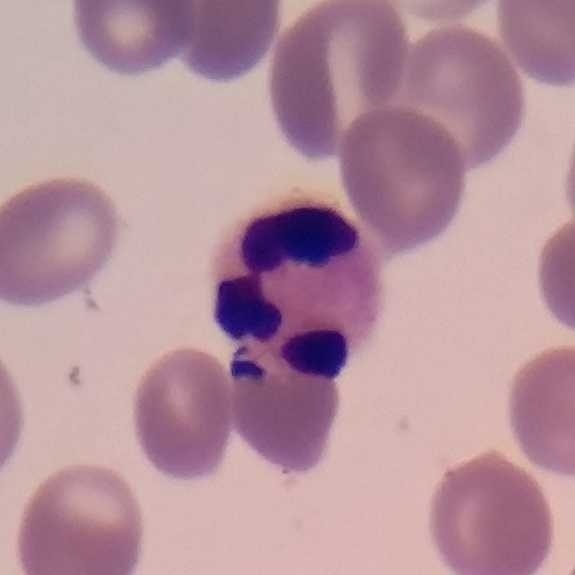 Single cell identified as a neutrophil.

Context: Peripheral blood smear · smartphone photomicrograph · single white blood cell cropped from the smear photograph.